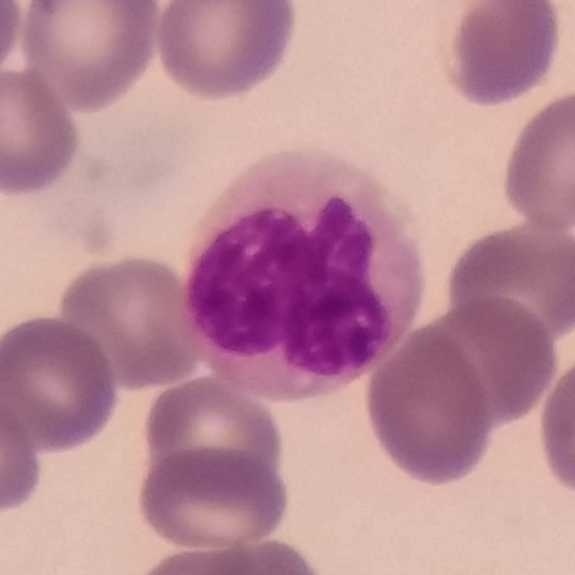Preparation: Peripheral blood smear.

Q: What is shown here?
A: This is a monocyte.